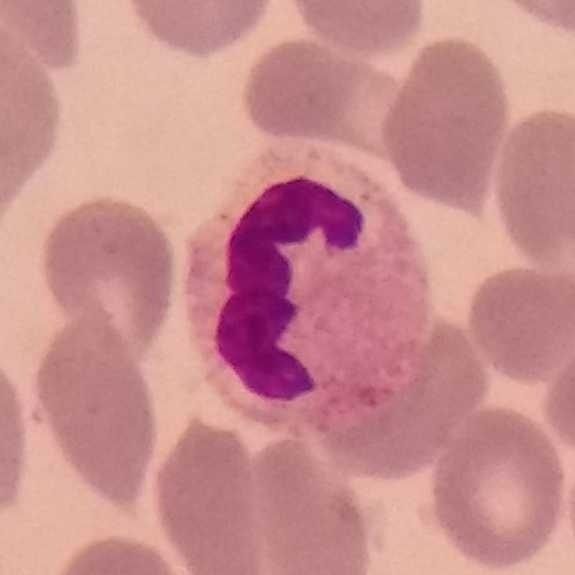 Peripheral blood film. 575×575.
Single cell identified as a neutrophil.